Peripheral blood smear
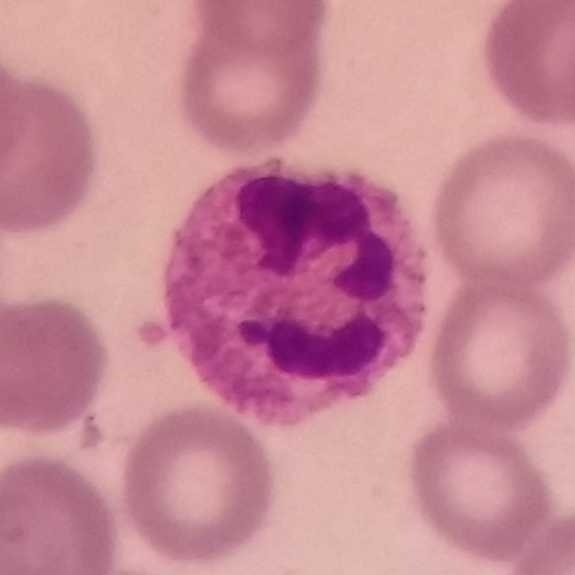Impression → neutrophil granulocyte.